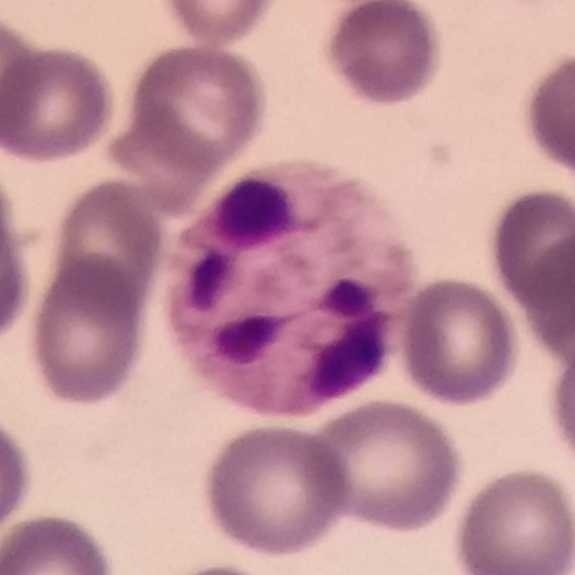
Impression → neutrophil granulocyte. Acquisition: Peripheral blood film · 575 by 575 pixels.